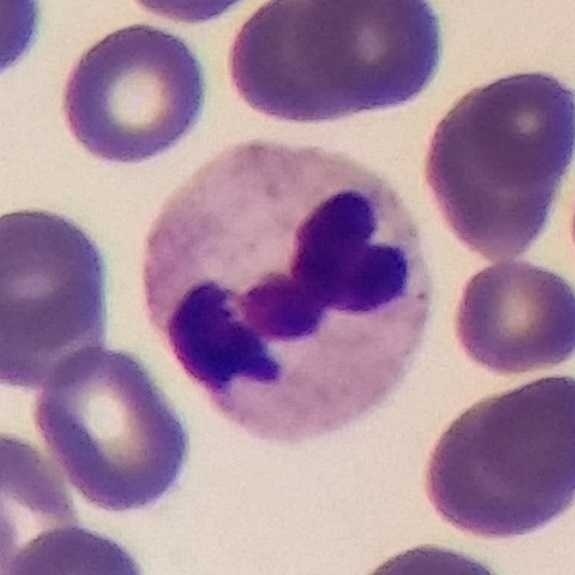

Classification: neutrophil.